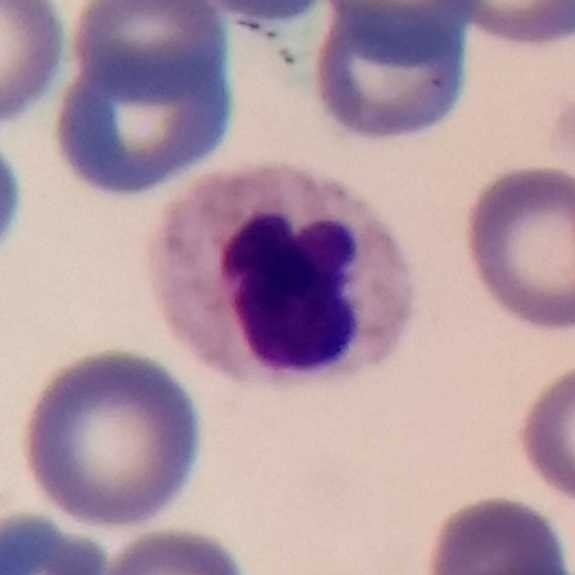

Image: Peripheral blood film. Q: What is the morphological classification of this cell?
A: A neutrophilic granulocyte.